Peripheral blood smear.
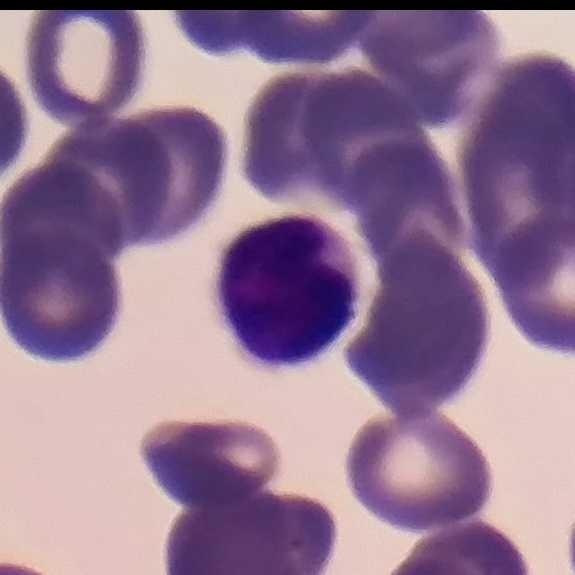

Lymphocyte.